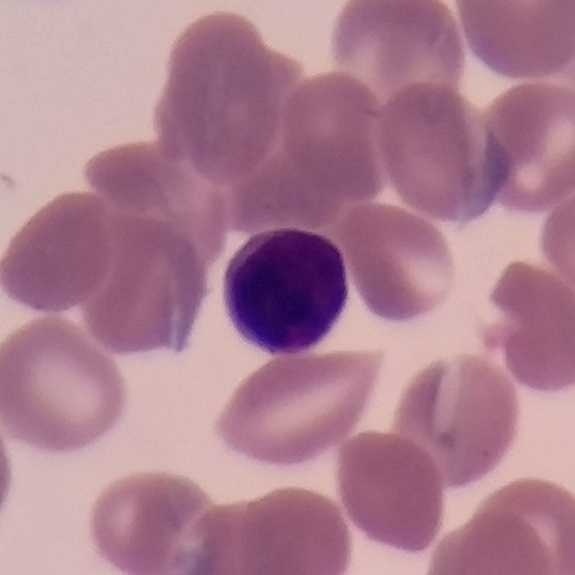

Image: Peripheral blood smear; phone-camera image taken through the microscope ocular. Classification — lymphocyte.